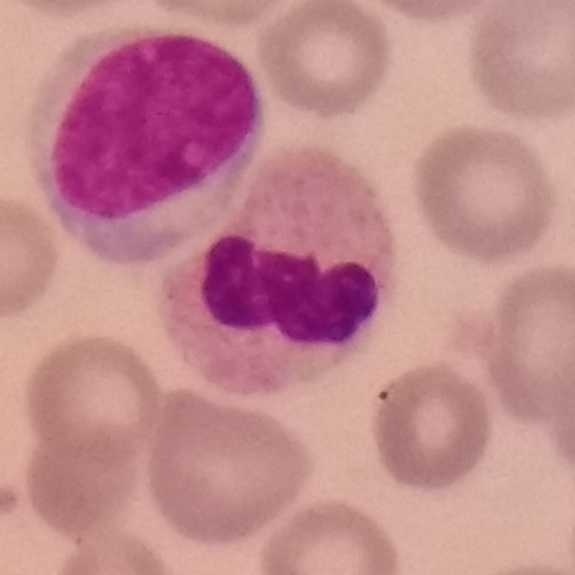

Image: Peripheral blood film. {"cell_type": "neutrophilic granulocyte"}